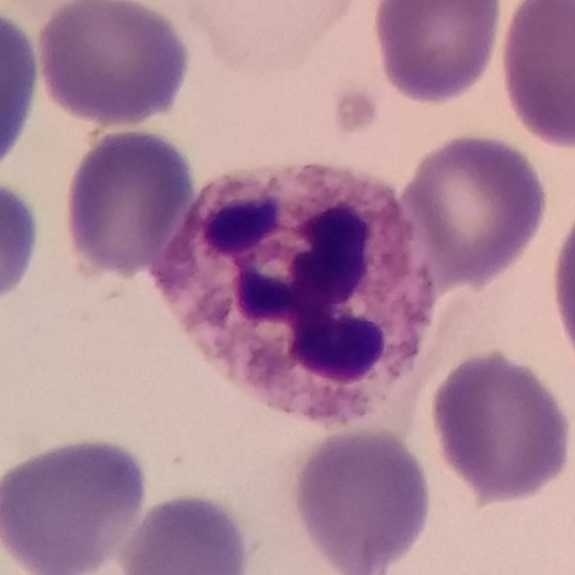

Image: Peripheral blood film. 575×575 px. Identified as a neutrophilic granulocyte.